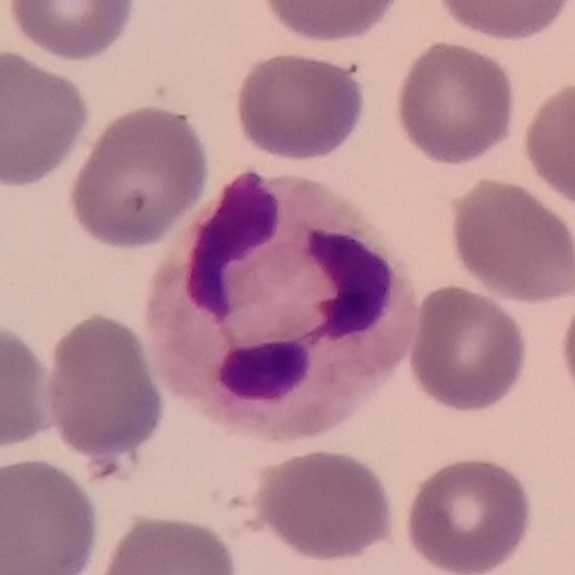 Morphological class = neutrophil. Context: Peripheral blood film. Magnification 100×.